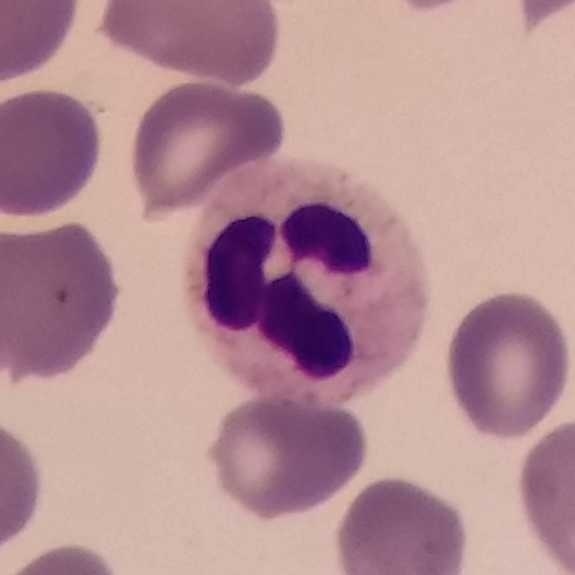

Preparation: Peripheral blood film. The white blood cell in this image is a neutrophil.